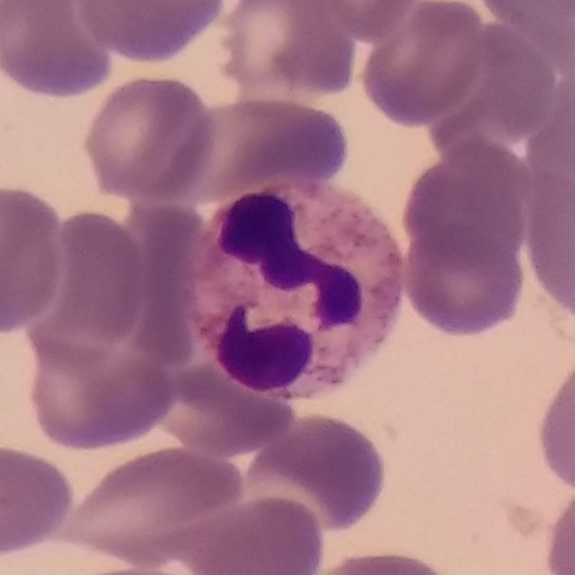 Specimen: peripheral blood smear.
Cell type: neutrophil. Preparation: Giemsa stain.